Peripheral blood smear
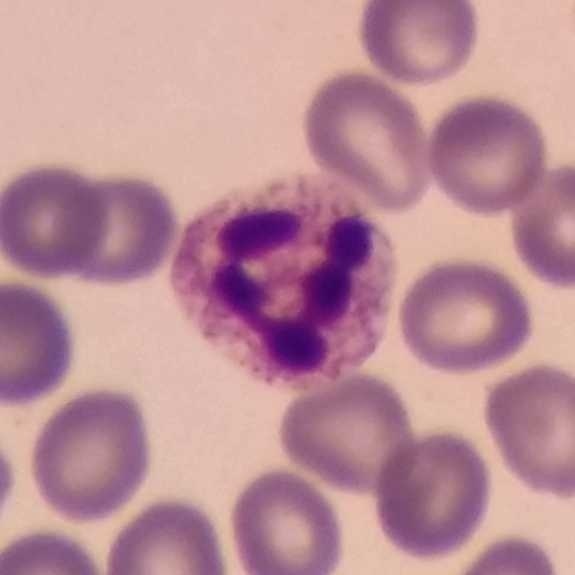

Impression → neutrophilic granulocyte.